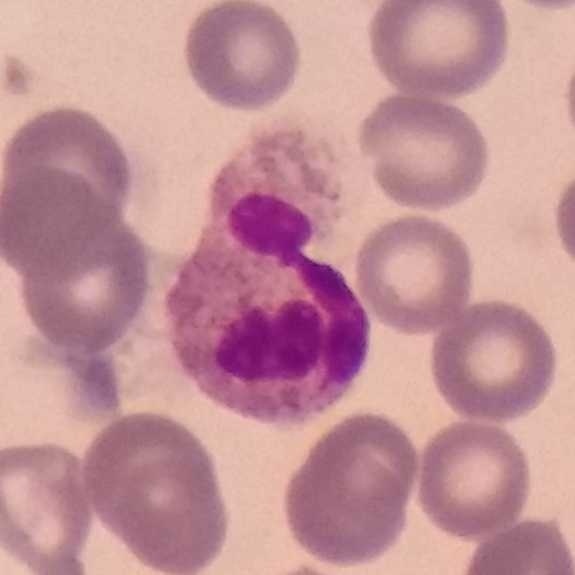A neutrophil.